Peripheral blood film:
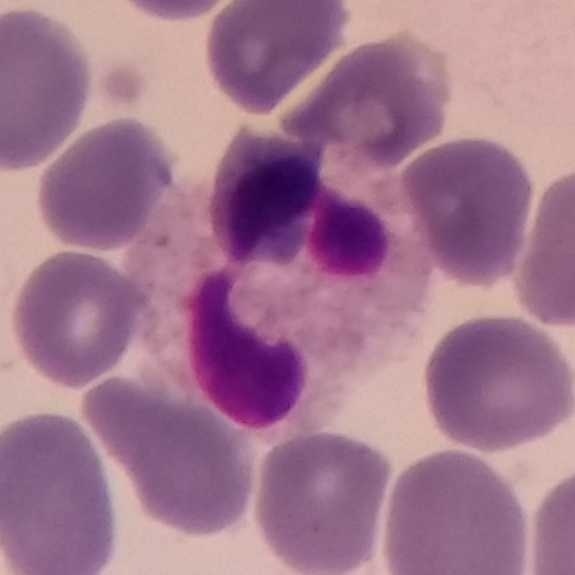 Cell: neutrophil granulocyte.